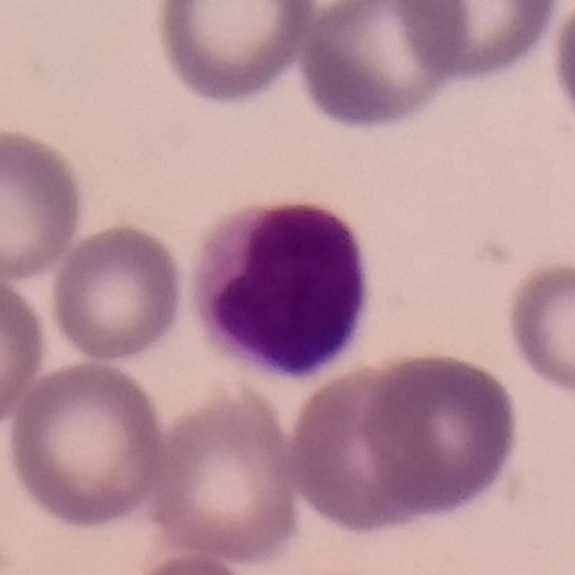 Acquisition: Peripheral blood smear; 100× magnification. Identified as a lymphocyte.